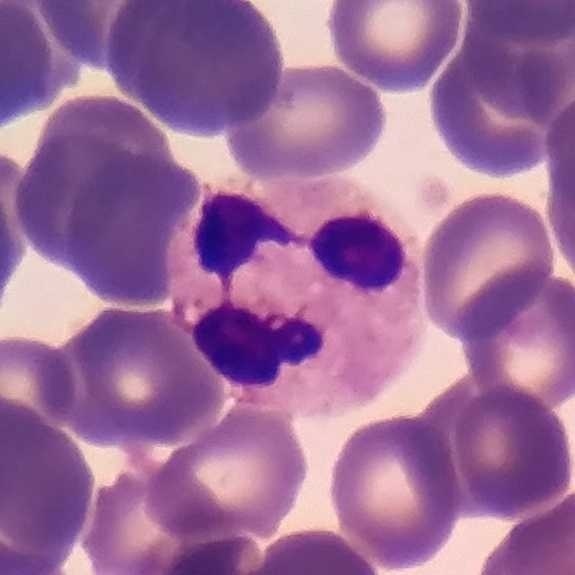Peripheral blood film.

Q: Which type of white blood cell is this?
A: This is a neutrophil granulocyte.